Stained with Giemsa; peripheral blood film
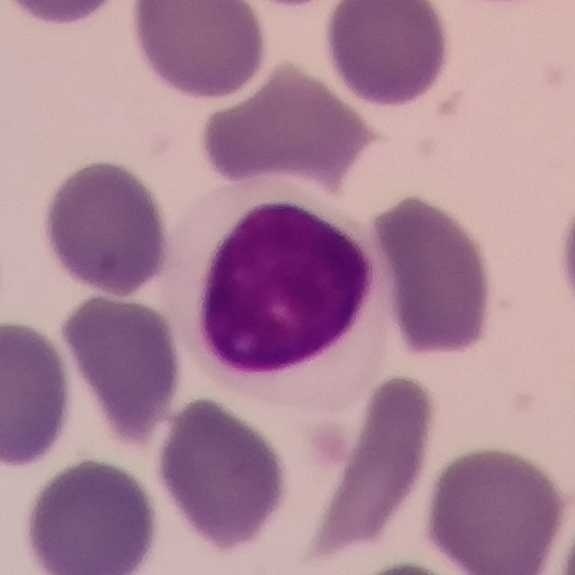 Morphology → lymphocyte.